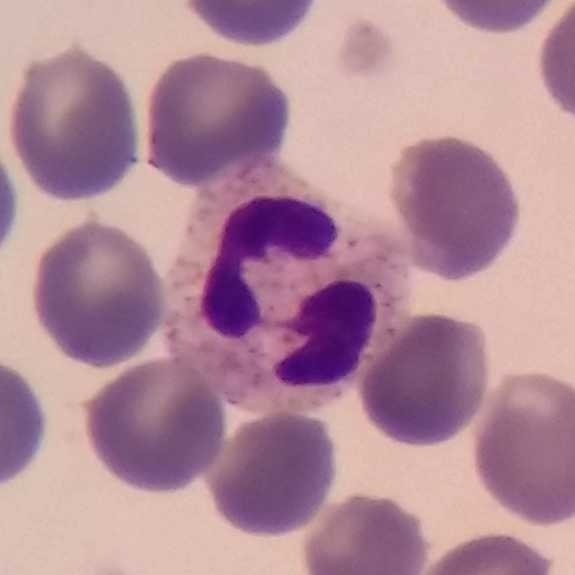
Peripheral blood smear showing a neutrophil.